Peripheral blood film
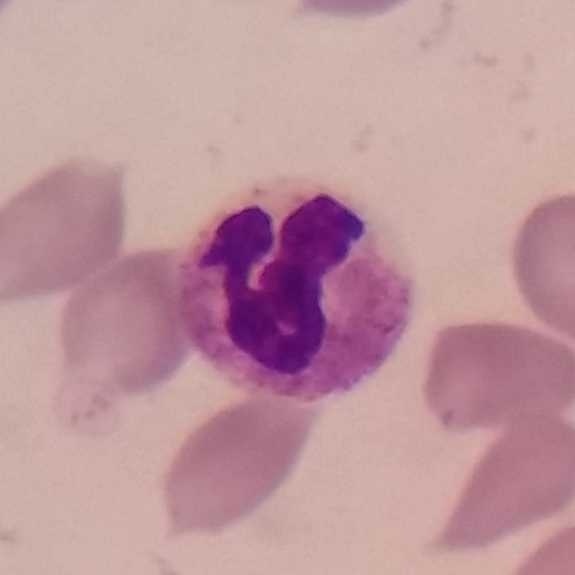 Identified as a neutrophilic granulocyte.